Image size 575×575. Peripheral blood film. Stained with Giemsa.
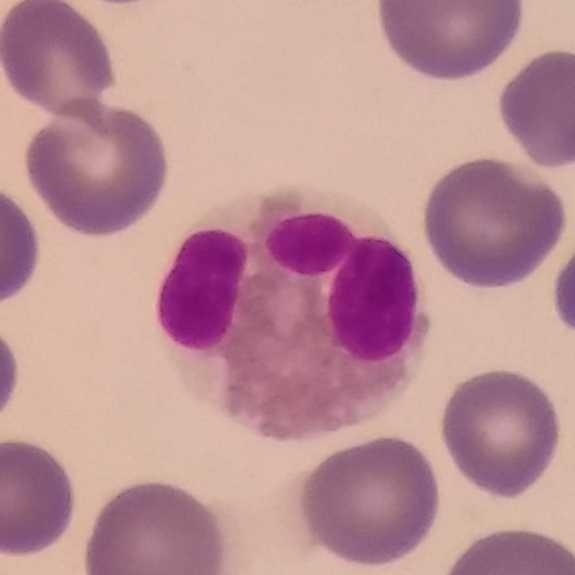 Morphological class — eosinophil.